Peripheral blood film; single white blood cell cropped from the smear photograph: 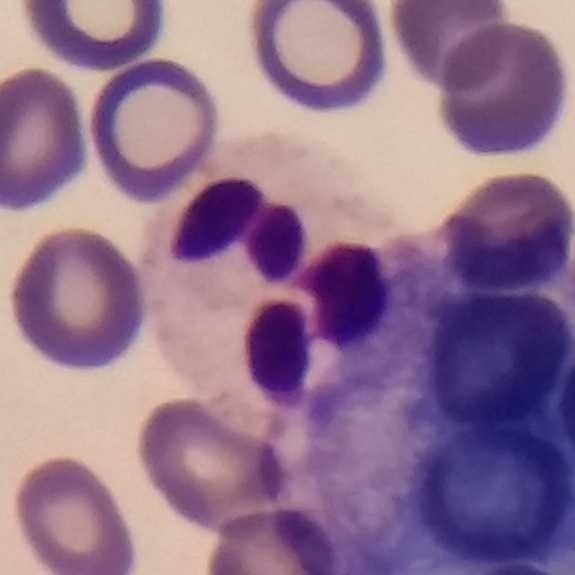
Q: Classify this leukocyte.
A: Neutrophil granulocyte.